Smartphone photomicrograph; 100× magnification; peripheral blood film
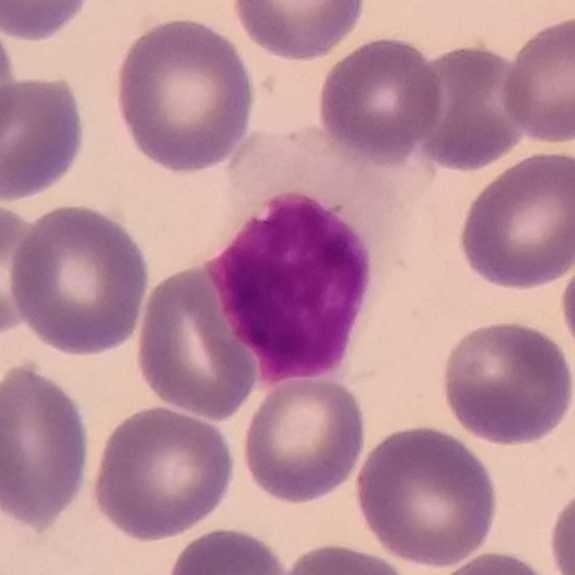

Showing a lymphocyte.